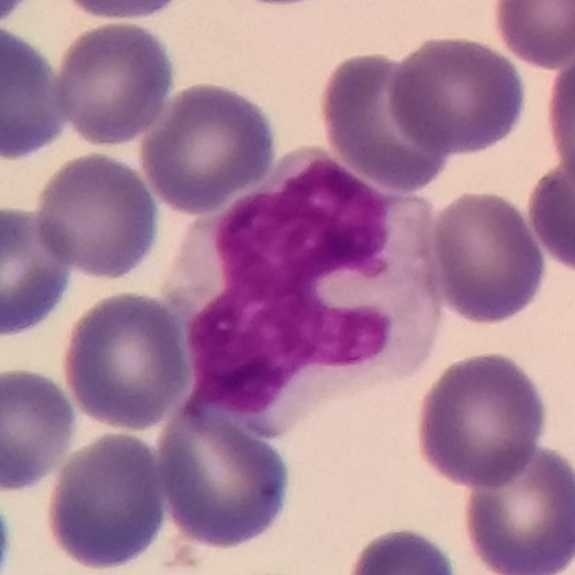

{"cell_type": "monocyte"}